Peripheral blood film; 575×575 px — 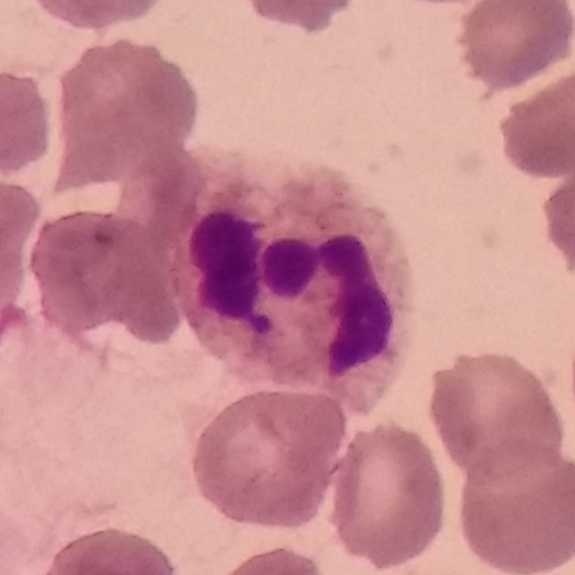

Q: What type of cell is this?
A: It is a neutrophil granulocyte.